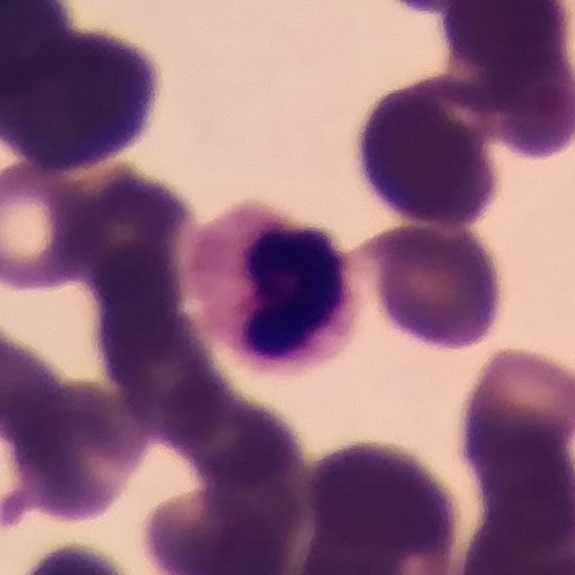
Smartphone photomicrograph. Peripheral blood film.
Morphological class = neutrophil.